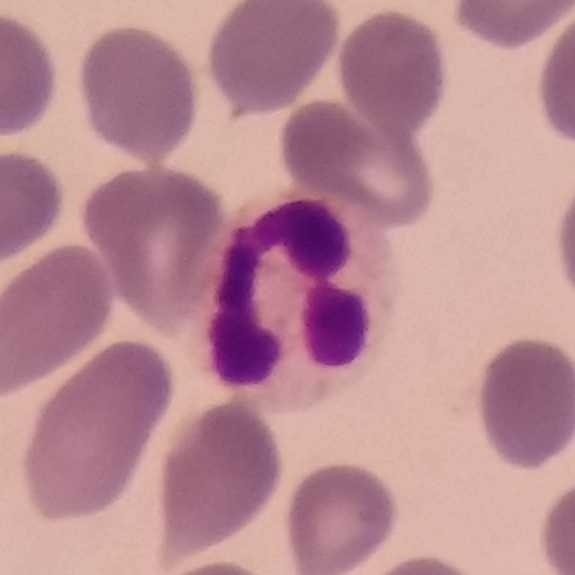 Single cell identified as a neutrophil.